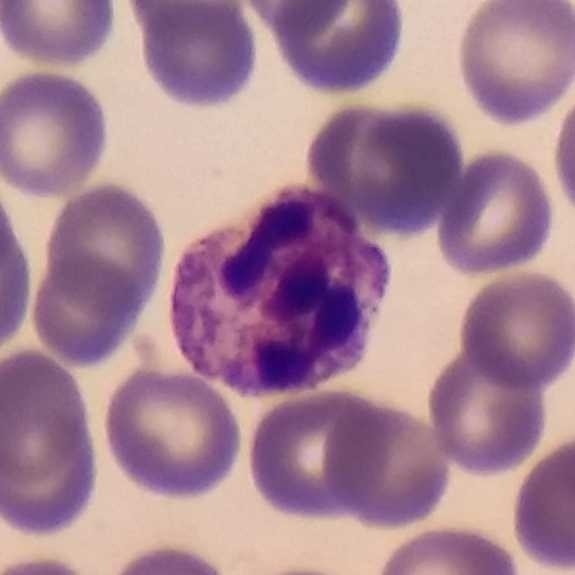
This is a neutrophil granulocyte.